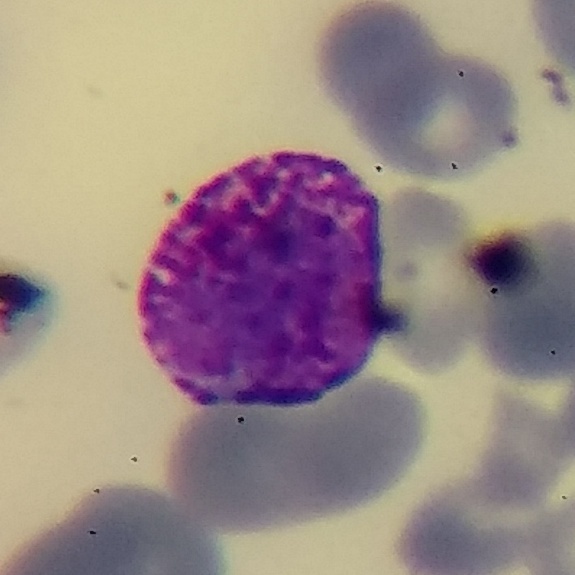Impression → basophilic granulocyte.